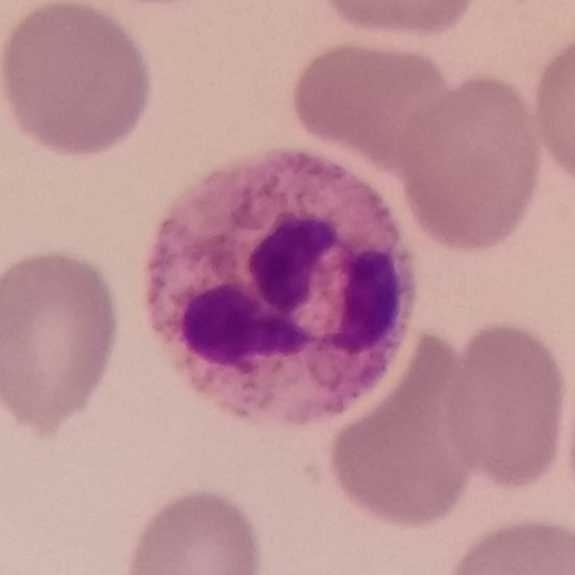 Q: Classify this leukocyte.
A: It is a neutrophilic granulocyte.